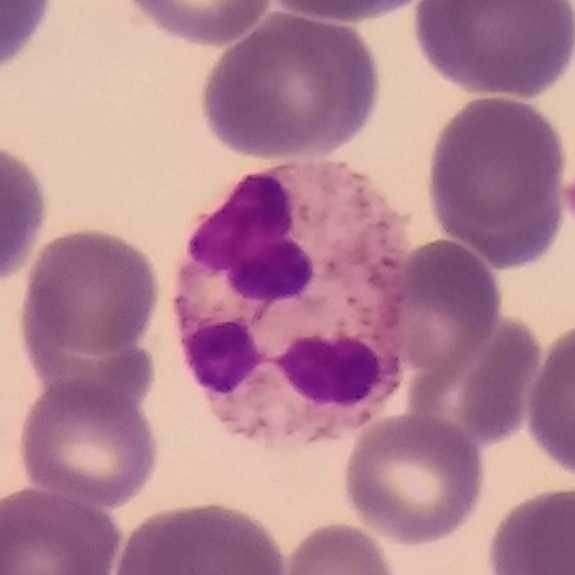Context: Peripheral blood smear. Q: What cell is this?
A: Neutrophilic granulocyte.